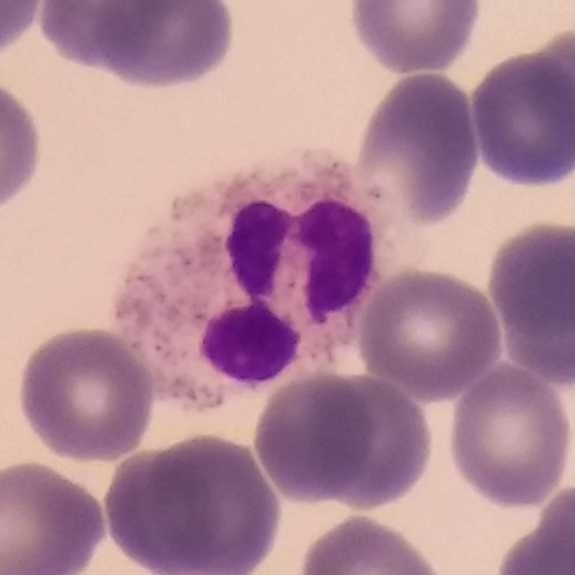Peripheral blood smear showing a neutrophil.